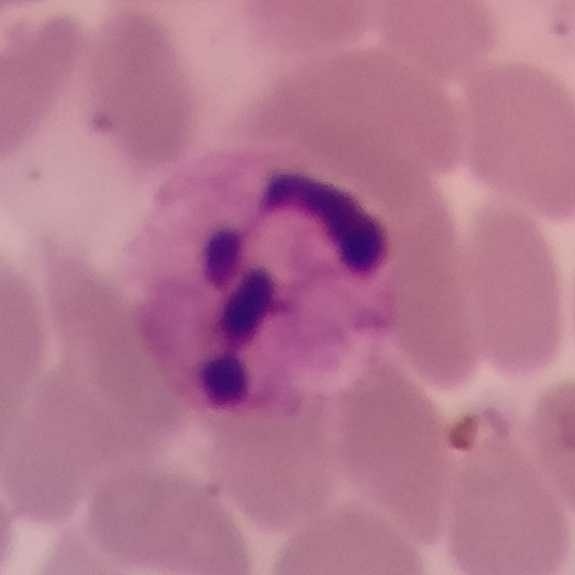
The cell is neutrophil.
Acquisition: Peripheral blood film.